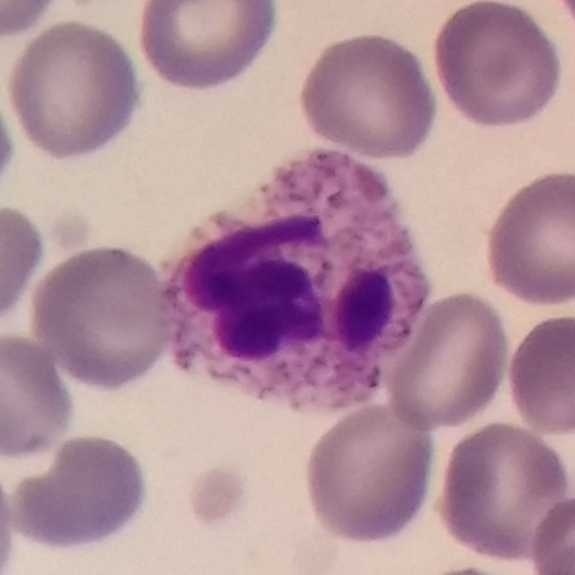

Single cell identified as a neutrophil.

Magnification 100× · smartphone camera mounted on the microscope eyepiece · peripheral blood film.